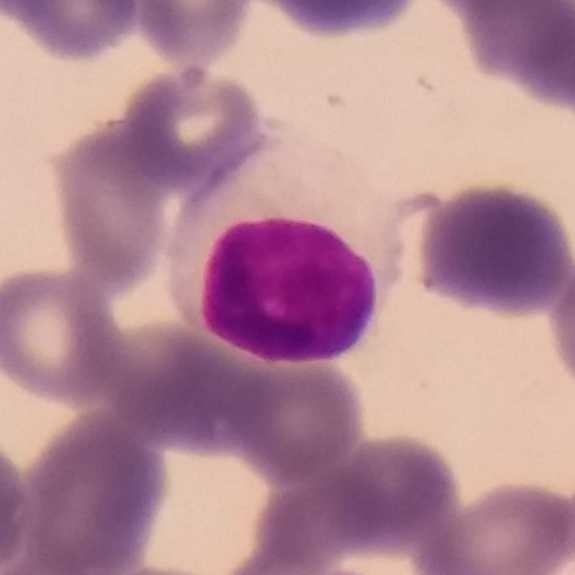

Context: Peripheral blood smear.
Q: What is this?
A: This is a lymphocyte.